Peripheral blood smear. Giemsa stain:
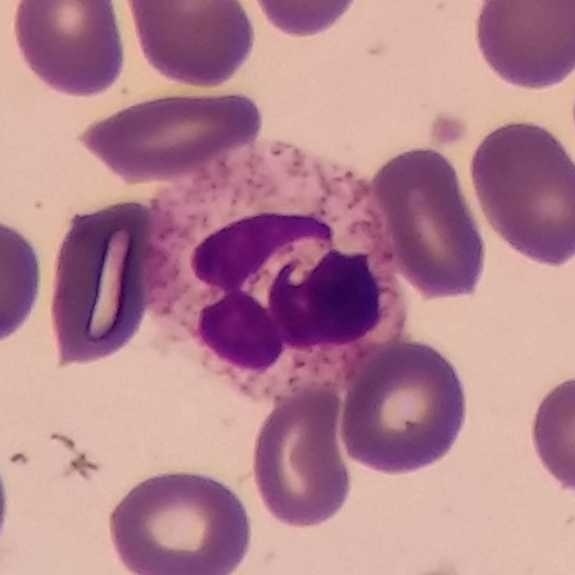

The white blood cell in this image is a neutrophil granulocyte.